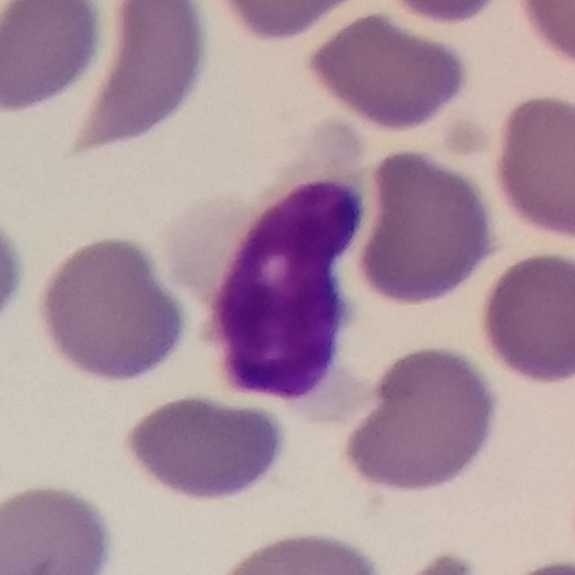Preparation: Peripheral blood film.
White blood cell type = lymphocyte.